Peripheral blood smear — 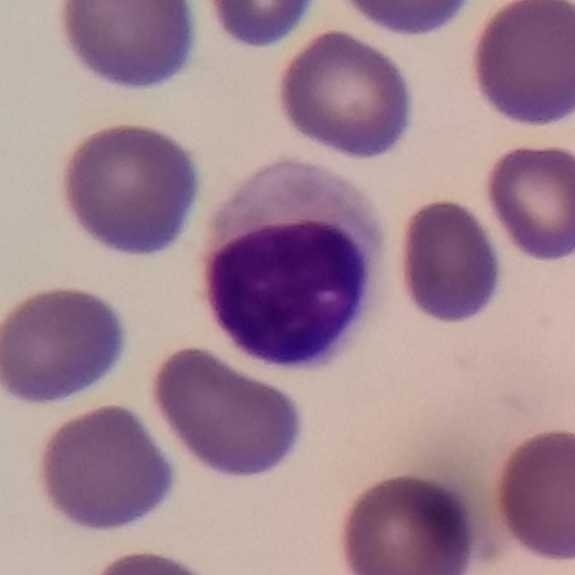Identified as a lymphocyte.